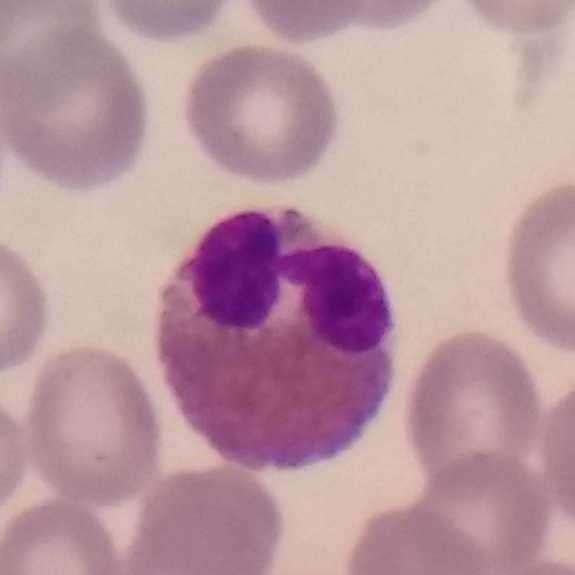
Morphological class = eosinophilic granulocyte.